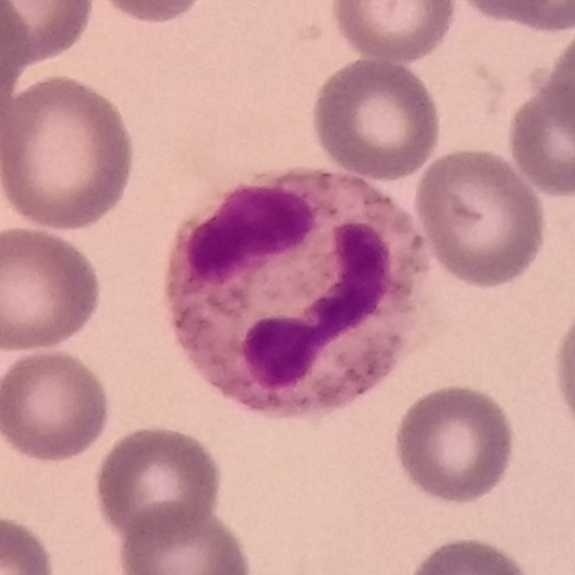Single cell identified as a neutrophil.
Acquisition: Single white blood cell cropped from the smear photograph; peripheral blood film.